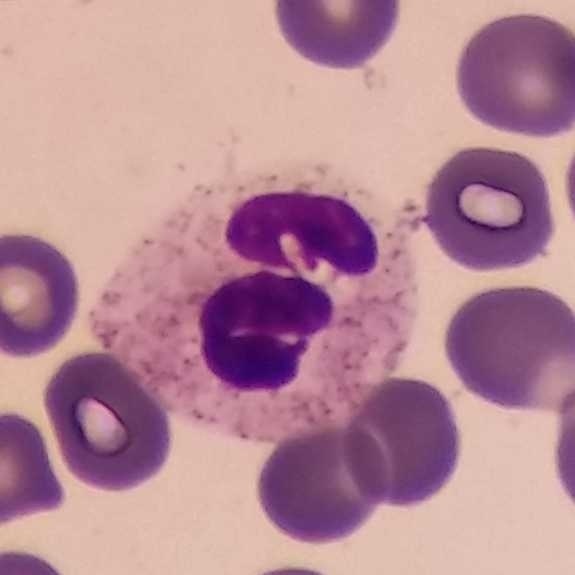Peripheral blood smear.
Q: What is this?
A: Neutrophil.